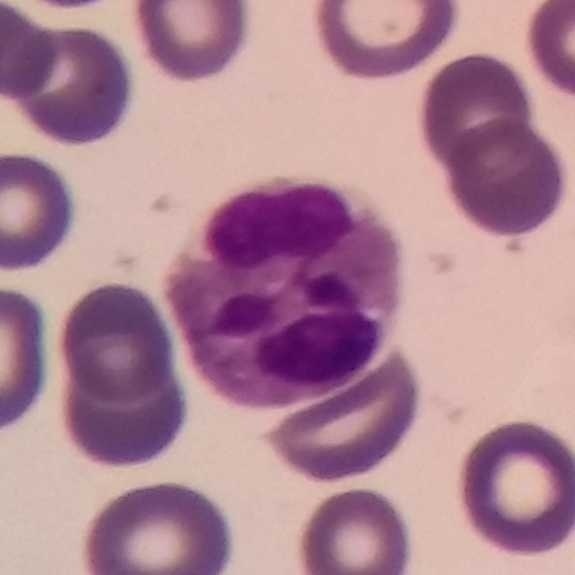 Preparation: Peripheral blood film. This is an eosinophil.